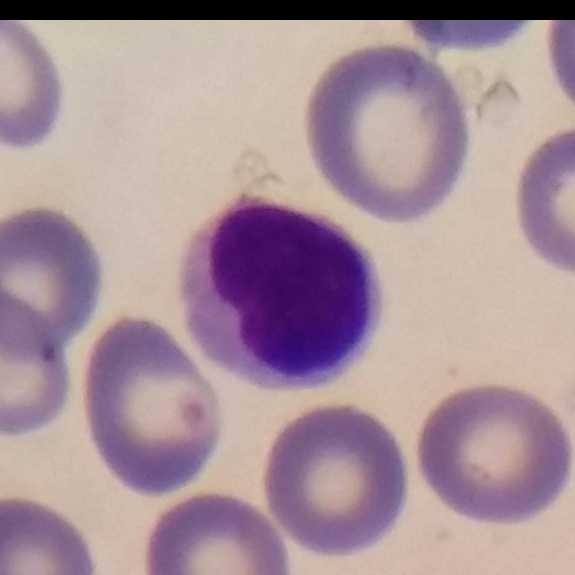 Stained with Giemsa. Peripheral blood smear.
Q: Identify the cell.
A: A lymphocyte.